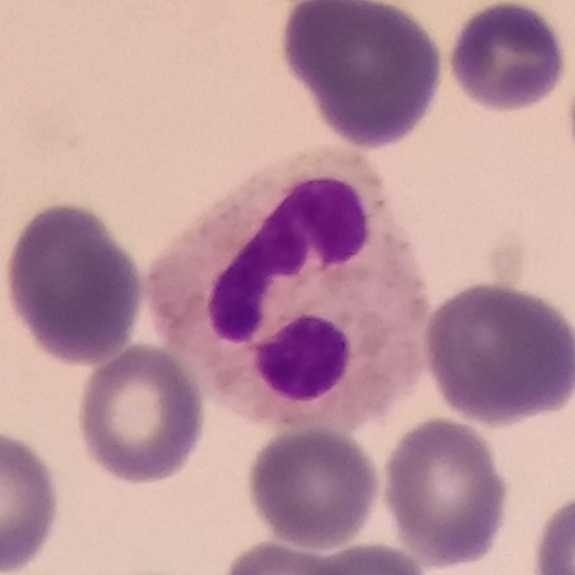 Neutrophil granulocyte. Preparation: Peripheral blood smear.